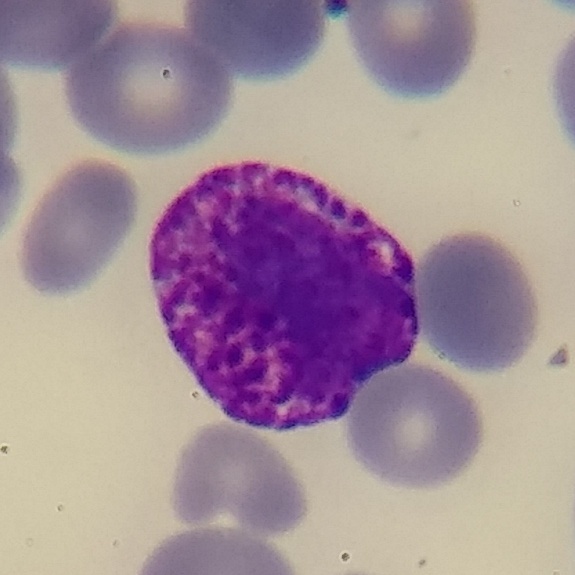 100× magnification. Smartphone camera mounted on the microscope eyepiece. Peripheral blood smear.

Classification: basophil.